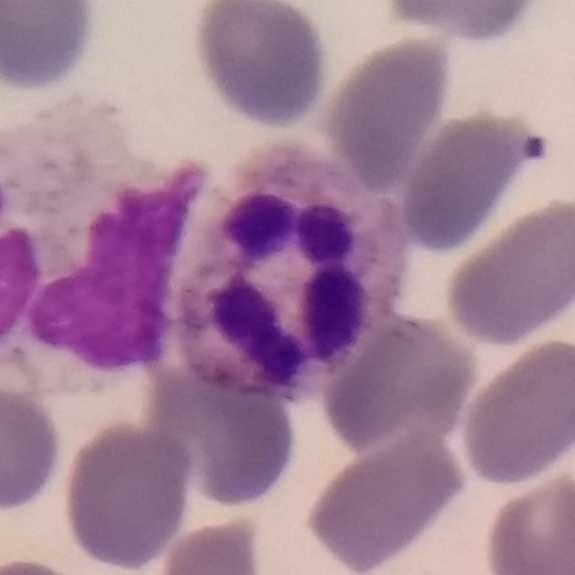

The white blood cell type is neutrophilic granulocyte. Context: Giemsa stain · peripheral blood film.